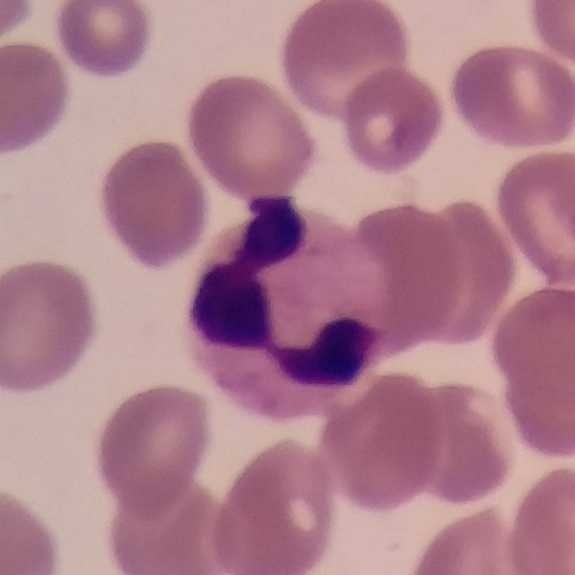 Preparation: Imaged at 100×; peripheral blood film.

The cell shown is a neutrophil granulocyte.